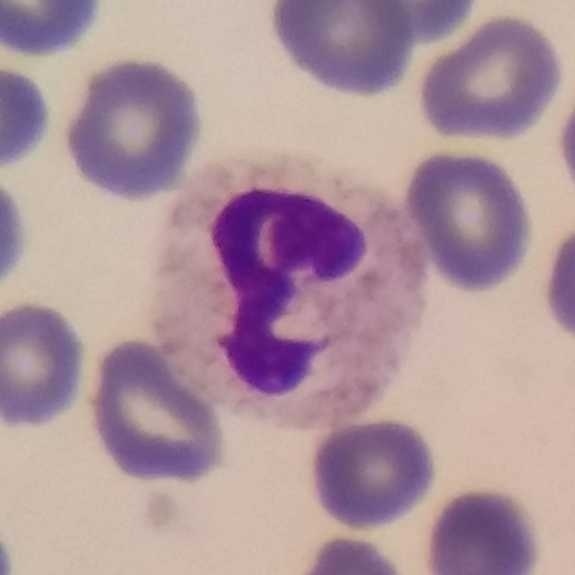

Impression → neutrophilic granulocyte.